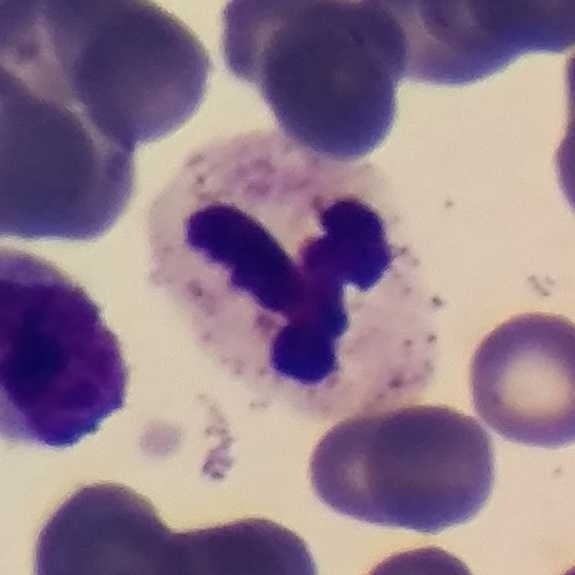Image: Peripheral blood smear.
Identified as a neutrophil granulocyte.